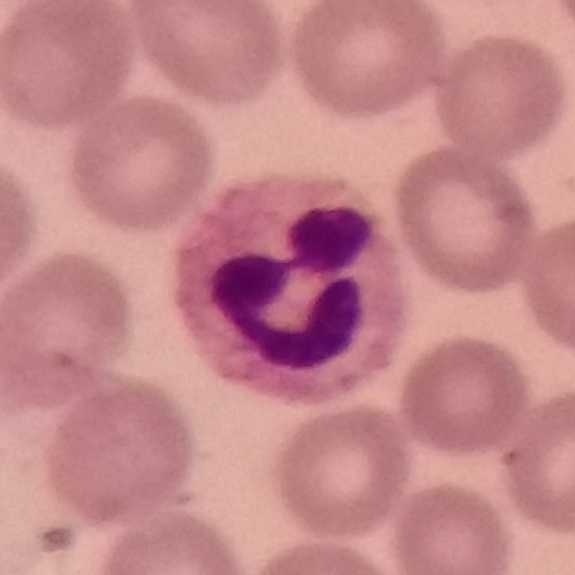

Specimen: peripheral blood smear.
Morphological class: neutrophil granulocyte.